Giemsa stain · single-cell crop · peripheral blood film
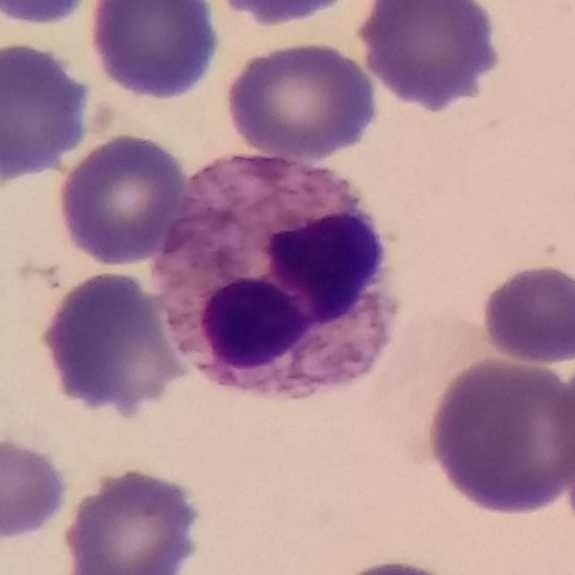

The morphological class is neutrophilic granulocyte.